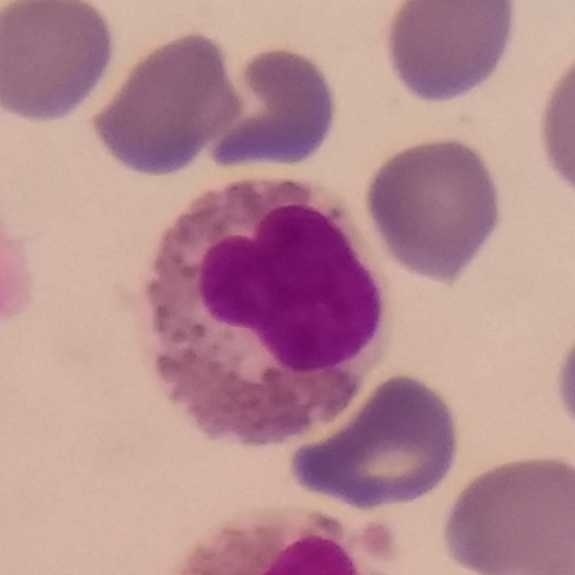Showing an eosinophil.